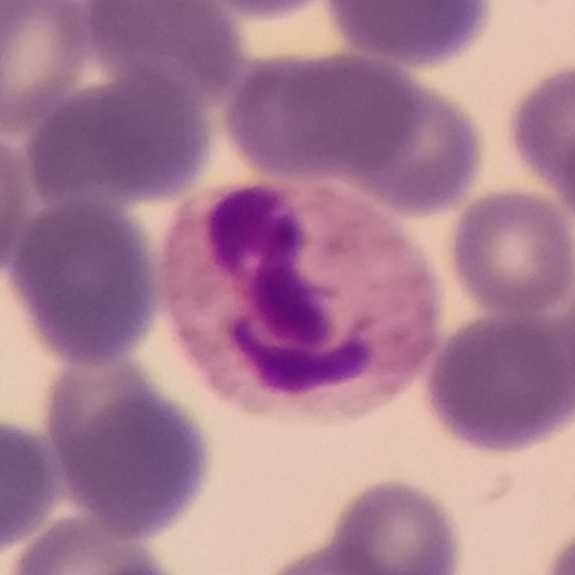Q: Which cell type is shown here?
A: Neutrophil.

Acquisition: Peripheral blood smear.